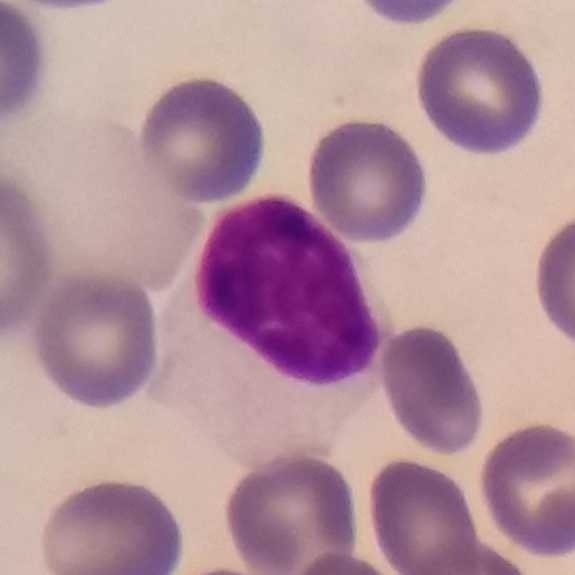

Acquisition: Peripheral blood film · cropped to one leukocyte · 575×575 px. Cell: lymphocyte.